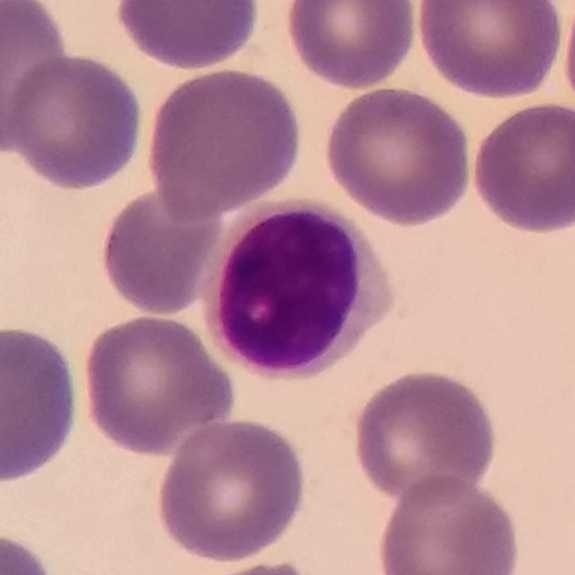
Morphology consistent with a lymphocyte. Context: Peripheral blood smear. Magnification 100×.